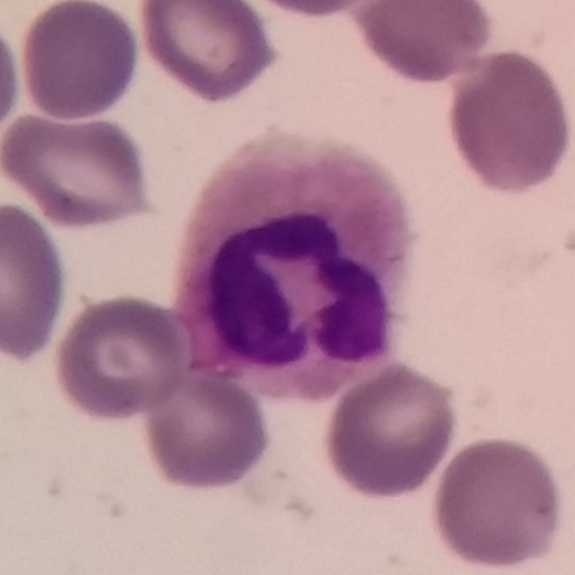Specimen: peripheral blood smear.
Cell type: neutrophil granulocyte.